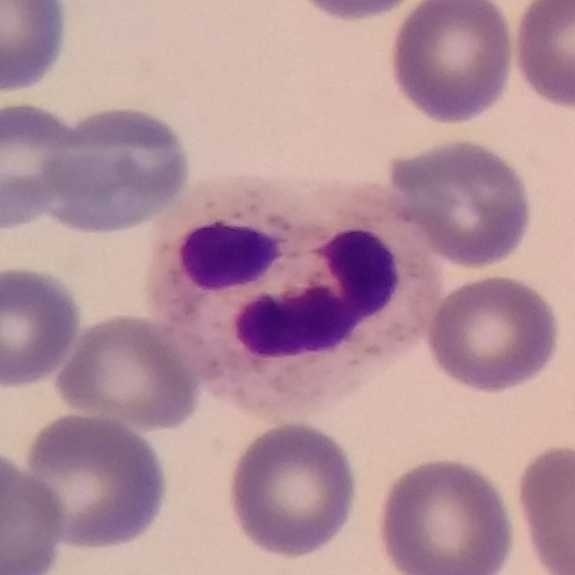

Image: Peripheral blood film · image size 575×575. Identified as a neutrophil granulocyte.